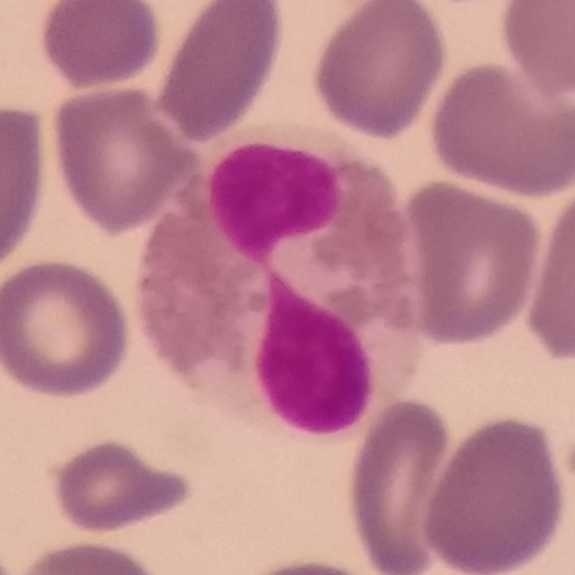 Preparation: Peripheral blood film. 575×575.
Q: Classify this leukocyte.
A: It is an eosinophilic granulocyte.